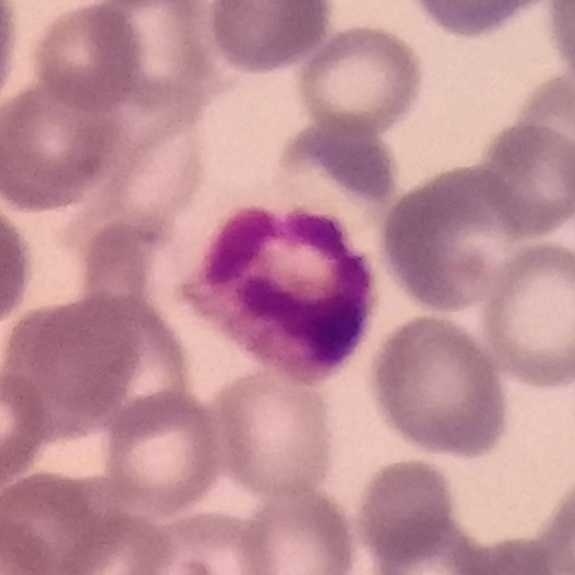
575×575; peripheral blood smear.

Morphology — neutrophil.